100× magnification. Peripheral blood film
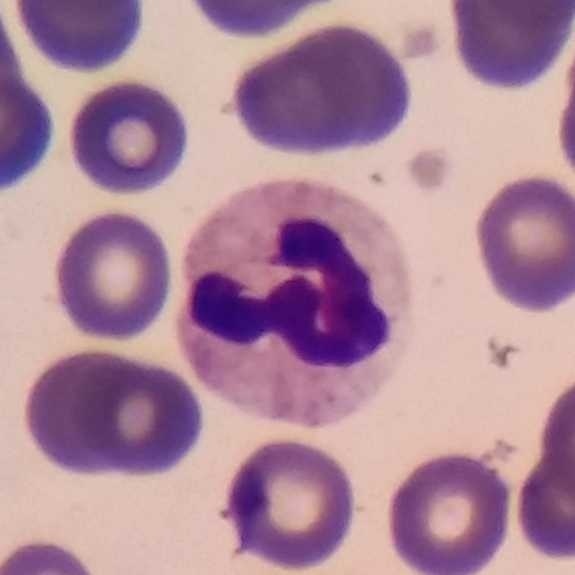 Q: Identify the cell.
A: It is a neutrophilic granulocyte.